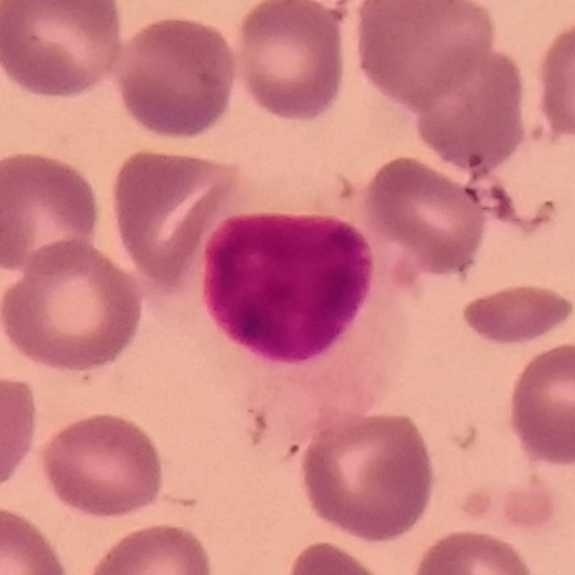 Cell — lymphocyte.